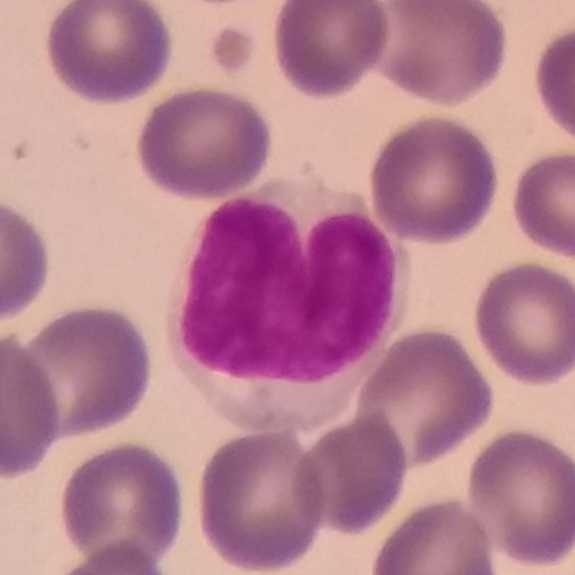

Specimen: peripheral blood smear.
Morphological class: monocyte.